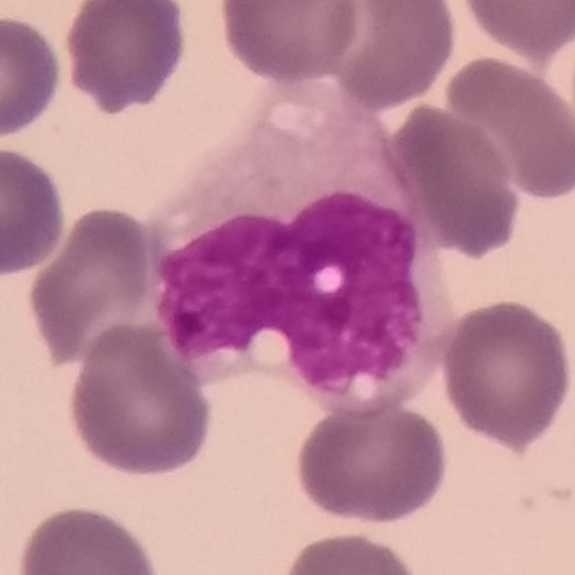
{"cell_type": "monocyte", "lineage": "myeloid"}

Preparation: Single white blood cell cropped from the smear photograph; peripheral blood film; Giemsa stain.